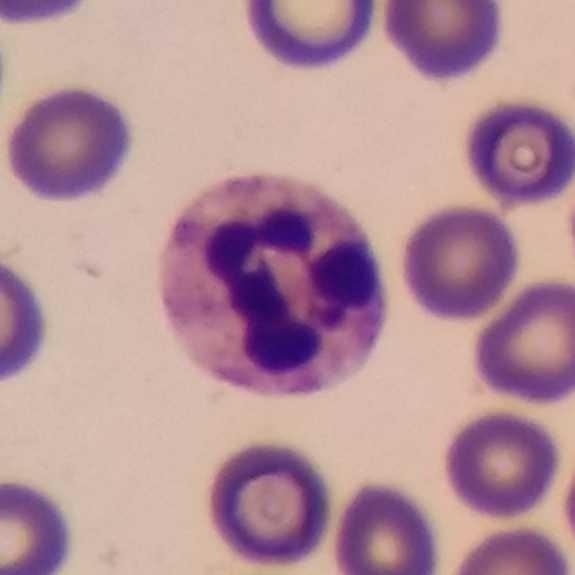Identified as a neutrophil.